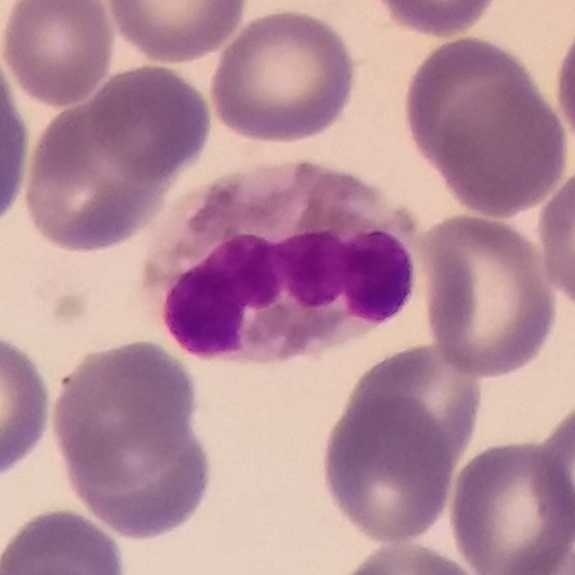

Specimen: peripheral blood smear.
White blood cell type: eosinophilic granulocyte.
Lineage: myeloid.